Peripheral blood smear · photographed through a light microscope with a smartphone camera
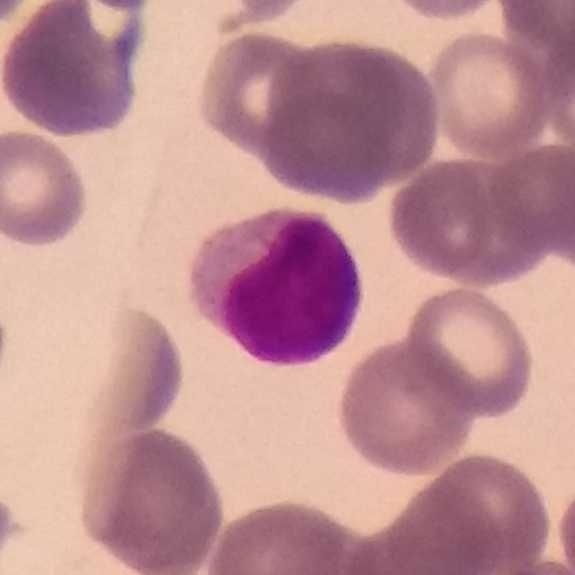

The white blood cell in this image is a lymphocyte.